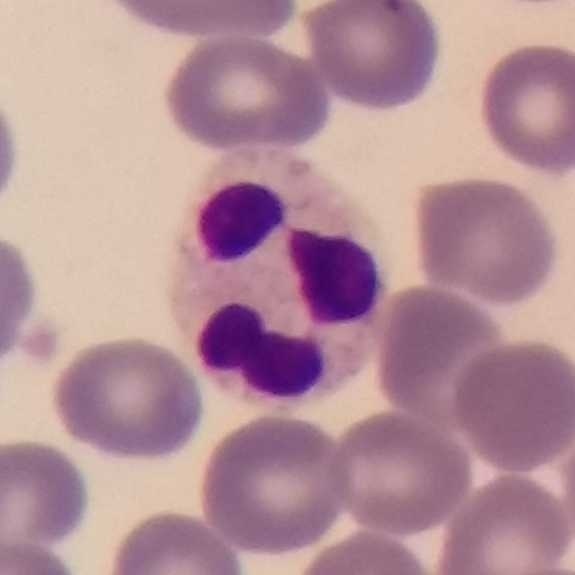 Q: What type of cell is this?
A: It is a neutrophil granulocyte.